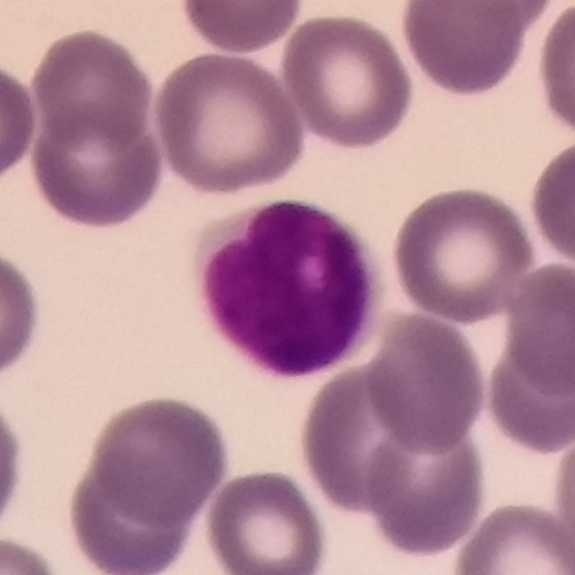 Context: Peripheral blood smear.
Morphological class — lymphocyte.